Peripheral blood smear
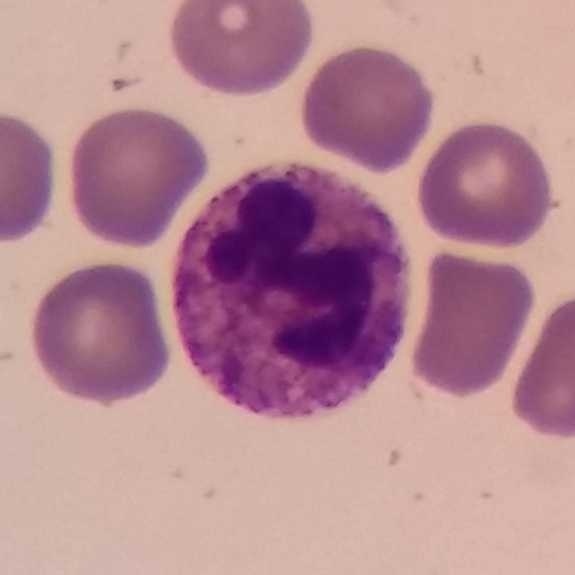
Morphology consistent with a neutrophil.